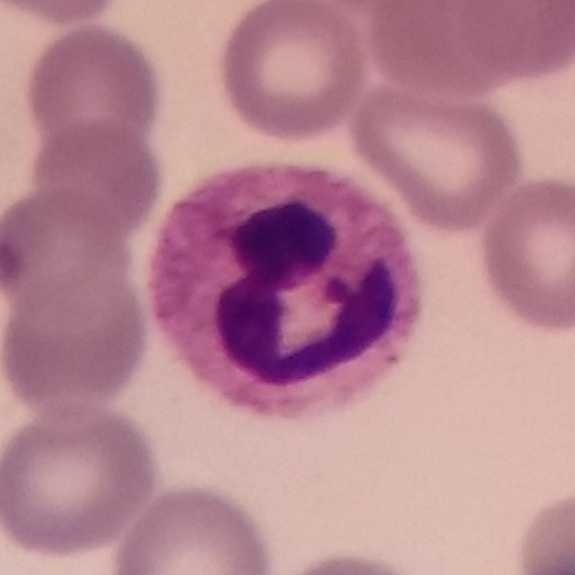

Image size 575×575.

Specimen: peripheral blood smear.
Morphological class: neutrophil.
Lineage: myeloid.